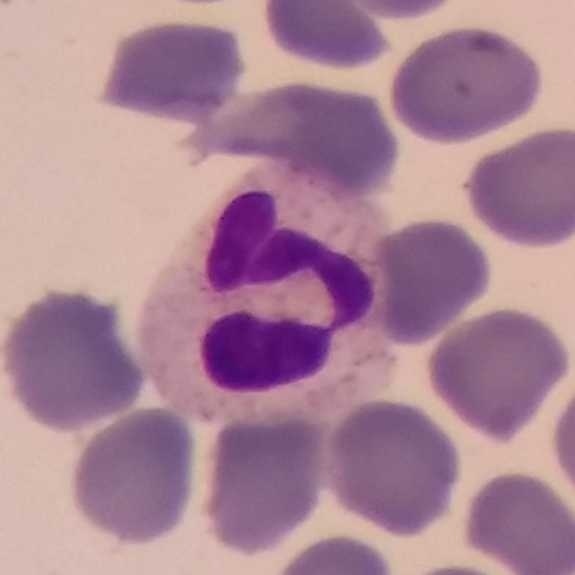 Specimen: peripheral blood film.
Cell: neutrophil granulocyte.
Lineage: myeloid.